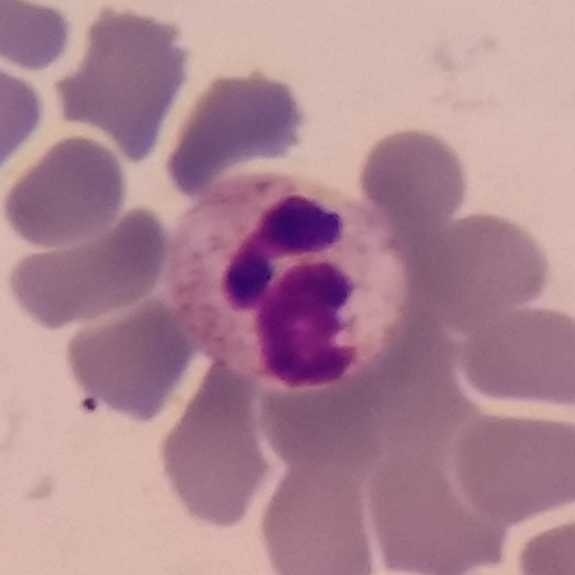The cell shown is a neutrophil granulocyte.